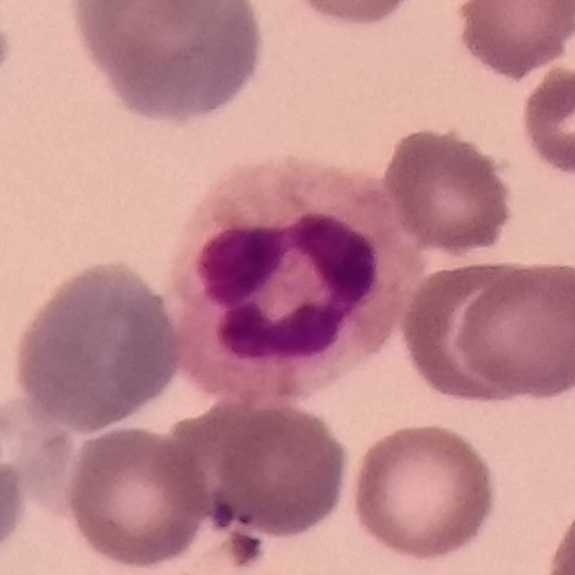From a peripheral blood smear: a neutrophil.